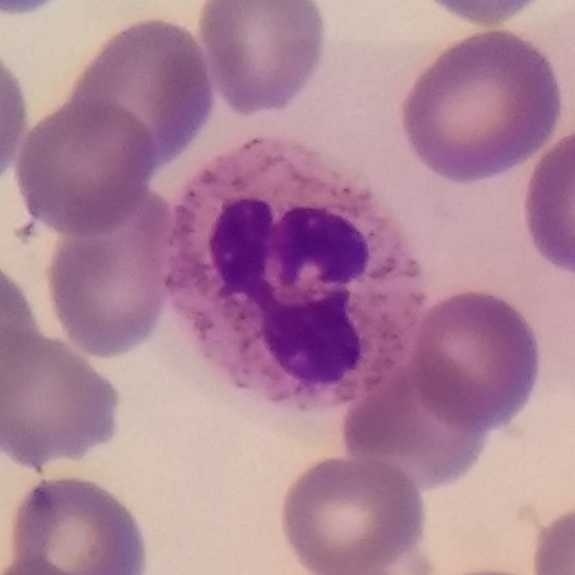

Neutrophil.